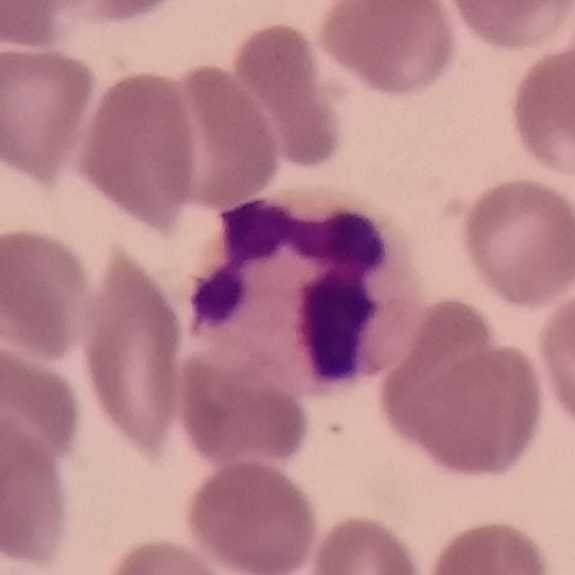Cell type — neutrophil.

Context: Peripheral blood film.